Giemsa stain · peripheral blood smear · 575×575 px
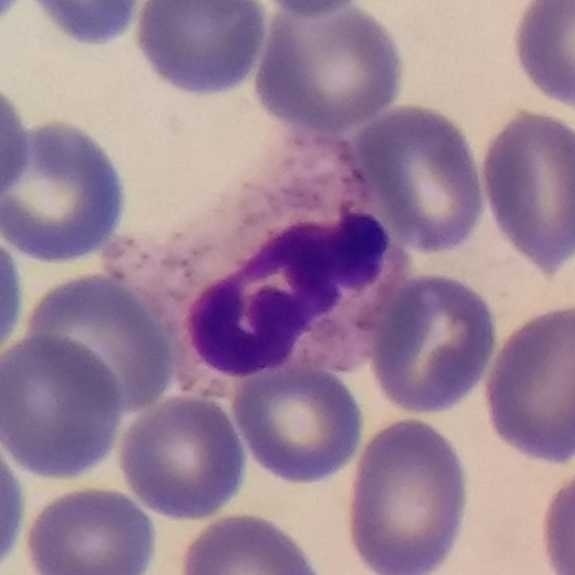Specimen: peripheral blood smear.
White blood cell type: neutrophilic granulocyte.